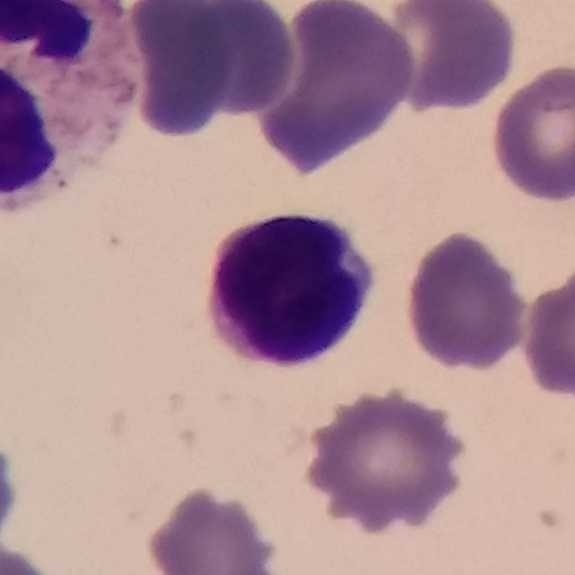 White blood cell type = lymphocyte.